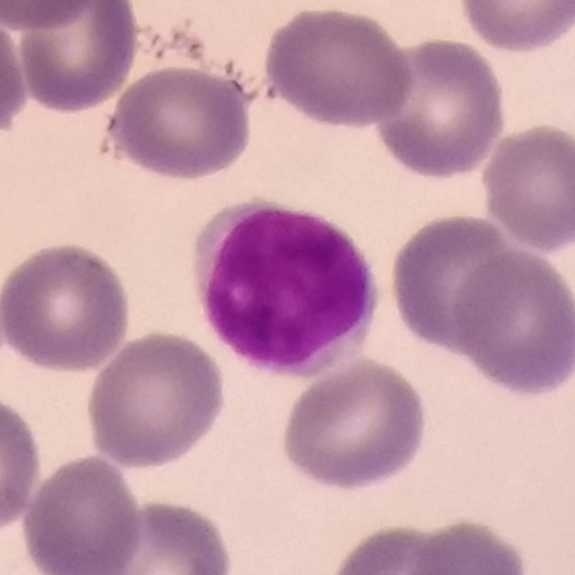
Showing a lymphocyte.